Single-cell crop. Peripheral blood film:
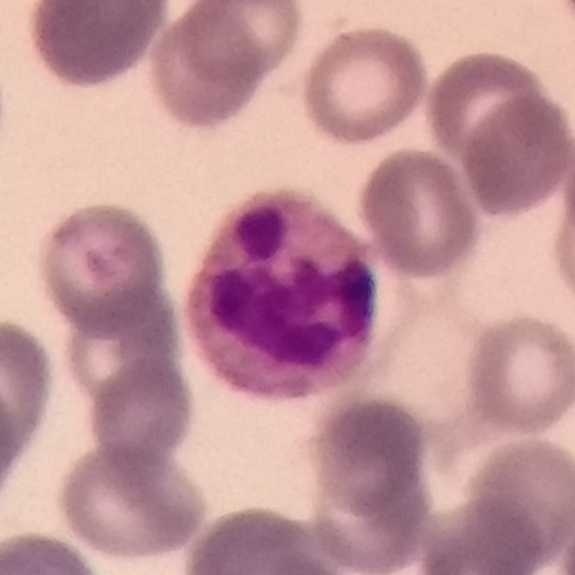 Q: What type of cell is this?
A: Neutrophilic granulocyte.